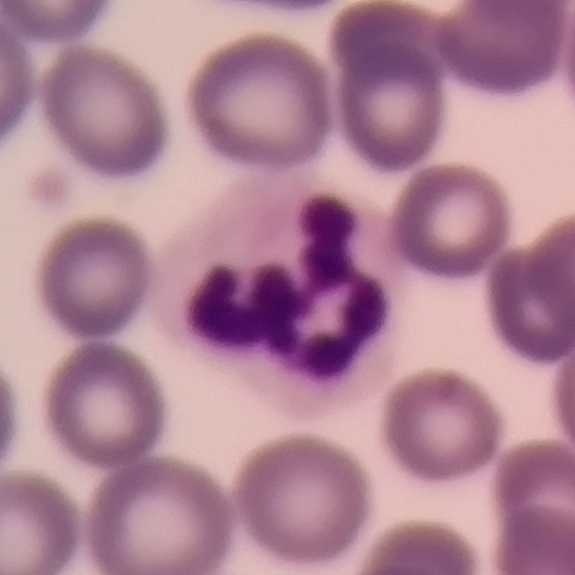
Neutrophil.

Preparation: Peripheral blood smear · Giemsa-stained.